Peripheral blood smear.
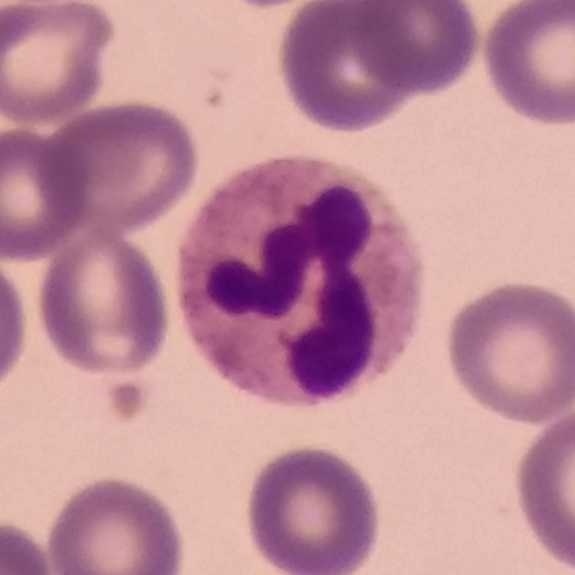
Morphology consistent with a neutrophil granulocyte.